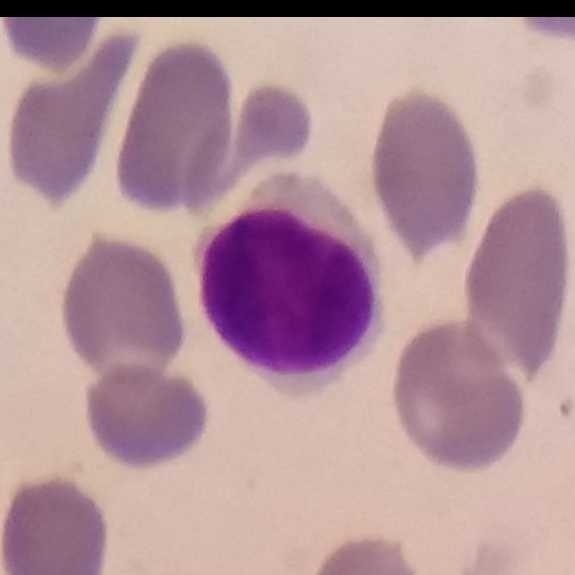
Peripheral blood film; 575 by 575 pixels.
Morphology consistent with a lymphocyte.